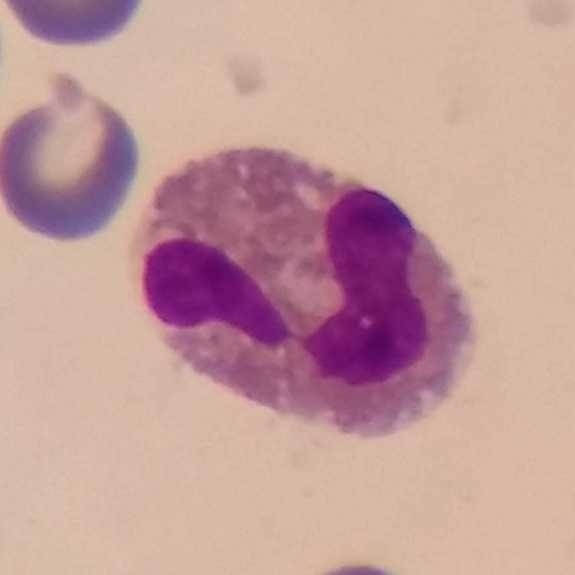
Specimen: peripheral blood smear.
Cell type: eosinophil.
Lineage: myeloid.